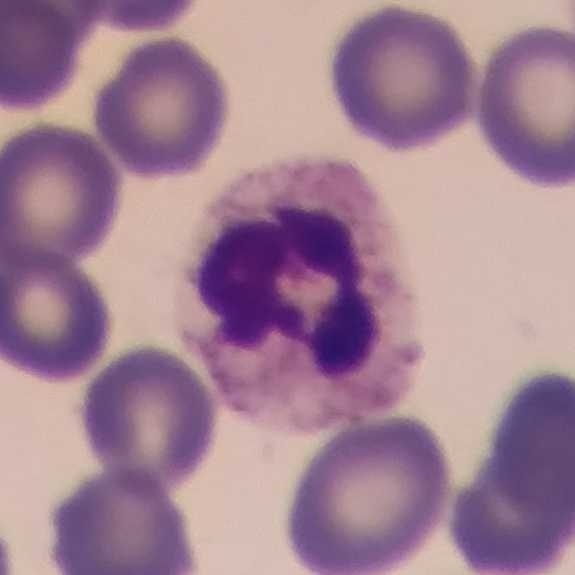Identified as a neutrophil.